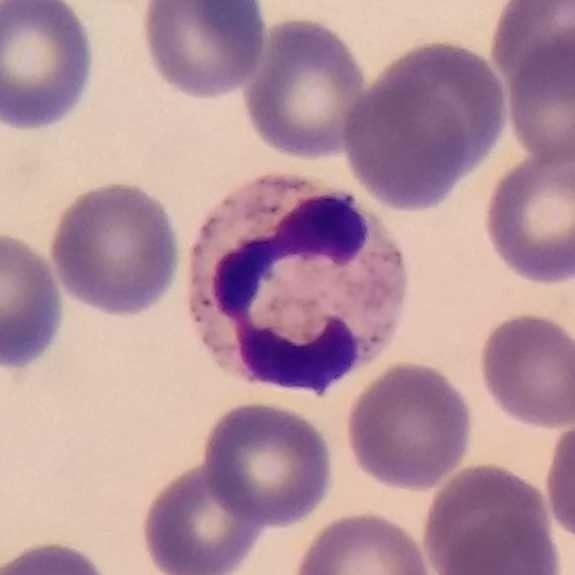The white blood cell in this image is a neutrophilic granulocyte.

Acquisition: Peripheral blood smear.